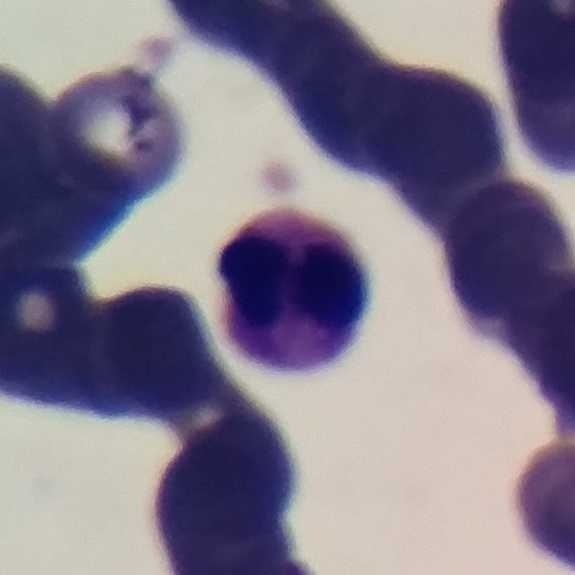
Acquisition: Magnification 100× · peripheral blood smear · photographed through a light microscope with a smartphone camera.

Morphology — neutrophilic granulocyte.